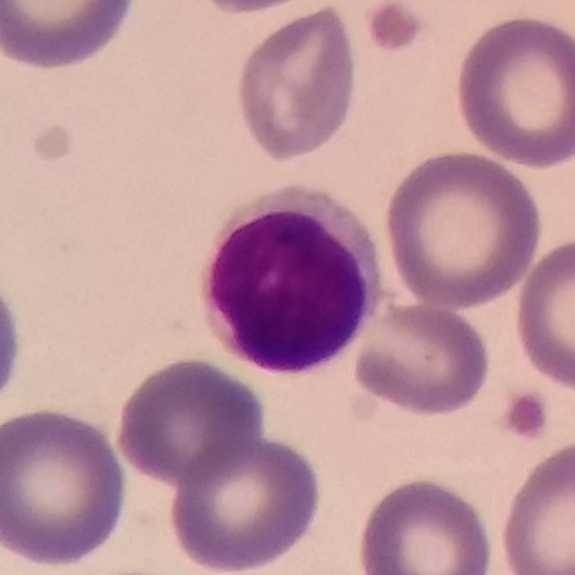

Image size 575×575 · peripheral blood smear.
White blood cell type = lymphocyte.